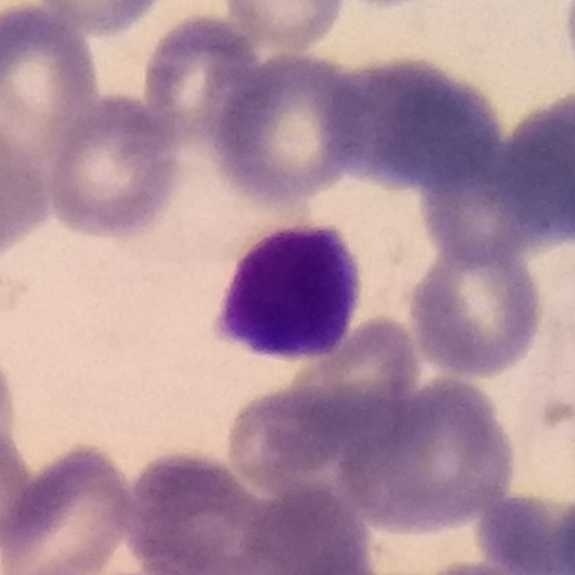Acquisition: Single white blood cell cropped from the smear photograph; 575×575.
Specimen: peripheral blood film.
Cell: lymphocyte.
Lineage: lymphoid.